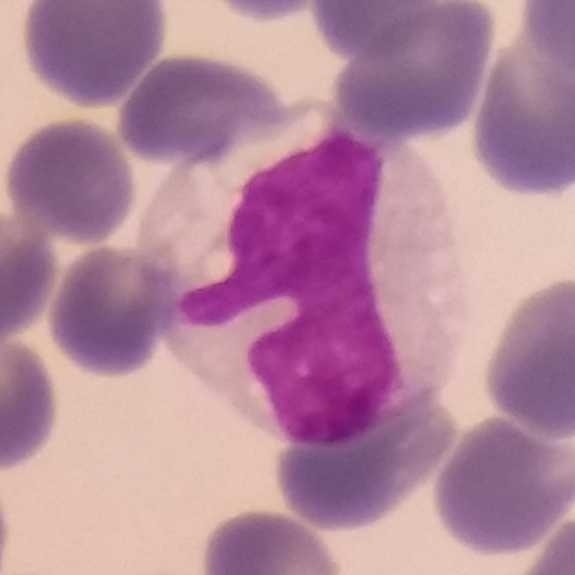
Q: What is shown here?
A: Monocyte. Peripheral blood smear.